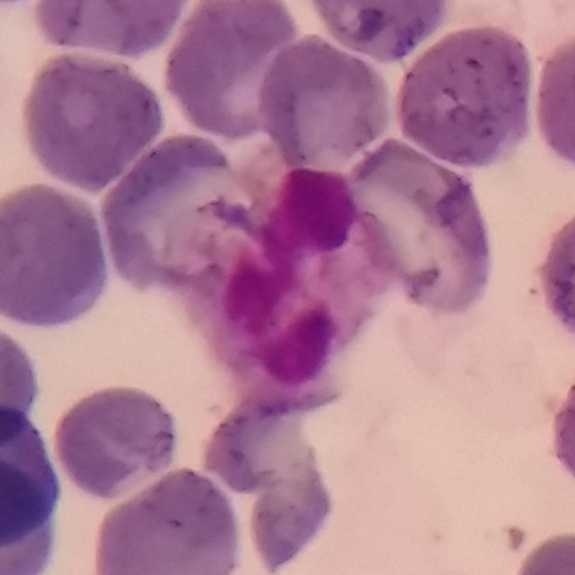 {"cell_type": "neutrophil", "lineage": "myeloid"}